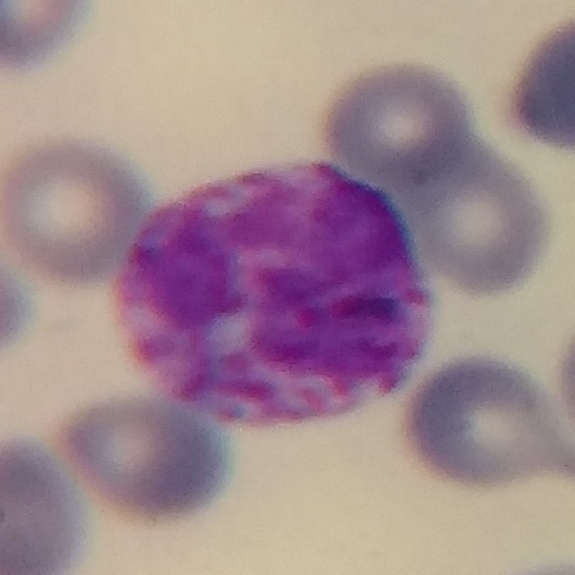Morphological class: basophilic granulocyte.